Peripheral blood smear: 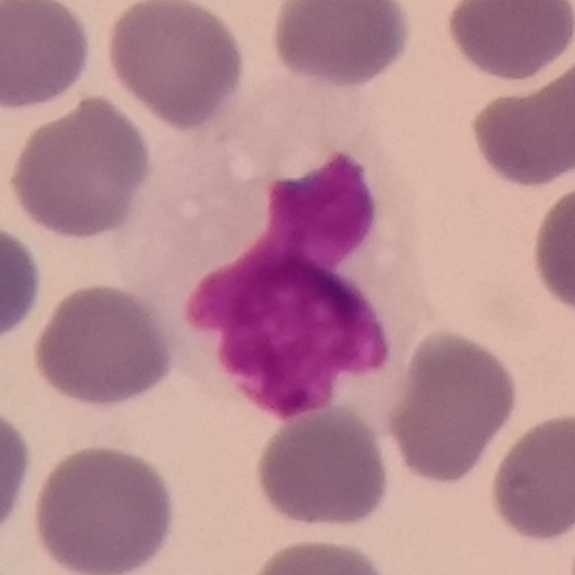 Q: Which cell type is shown here?
A: Monocyte.